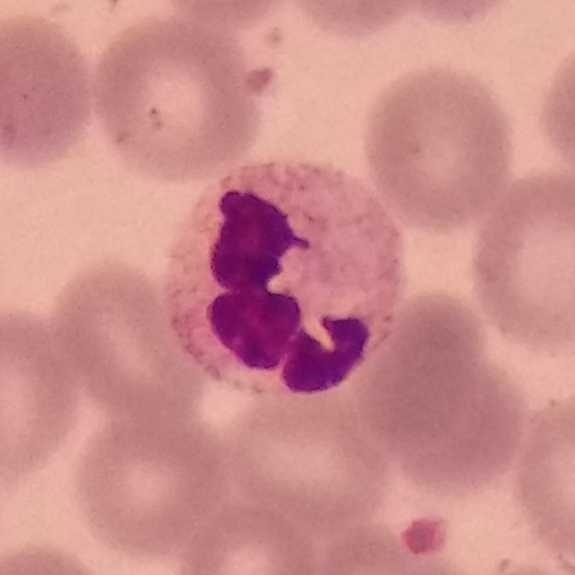

Identified as a neutrophil granulocyte.

Acquisition: Single-cell field; peripheral blood smear.